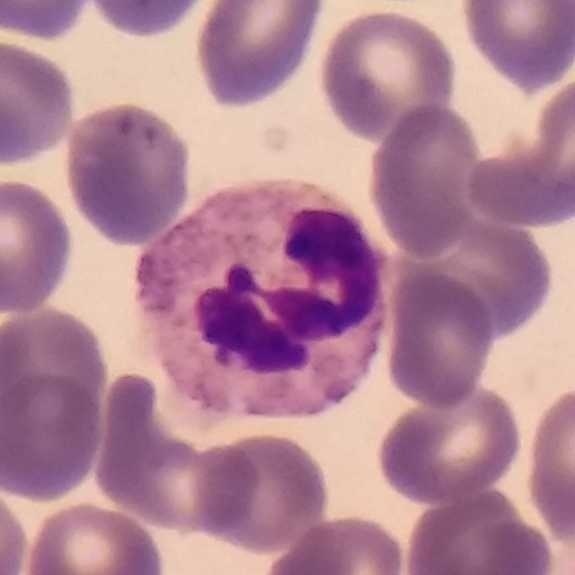

Cell type: neutrophilic granulocyte.
Context: Peripheral blood film · Giemsa stain.